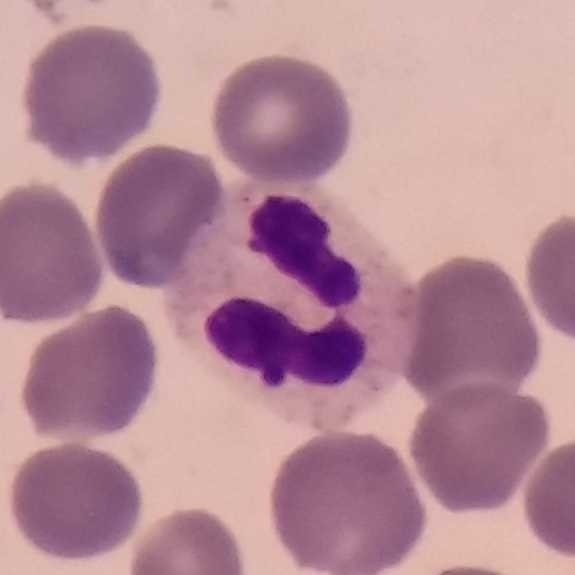
Impression → neutrophil granulocyte.